Single-cell field; peripheral blood smear; magnification 100×: 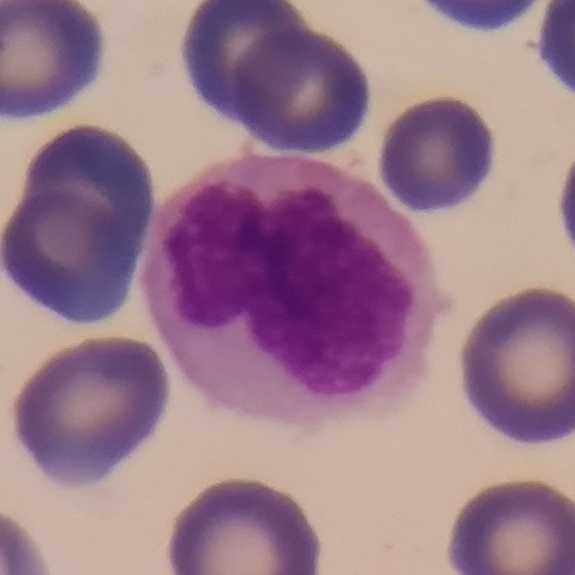 Monocyte.